Peripheral blood film — 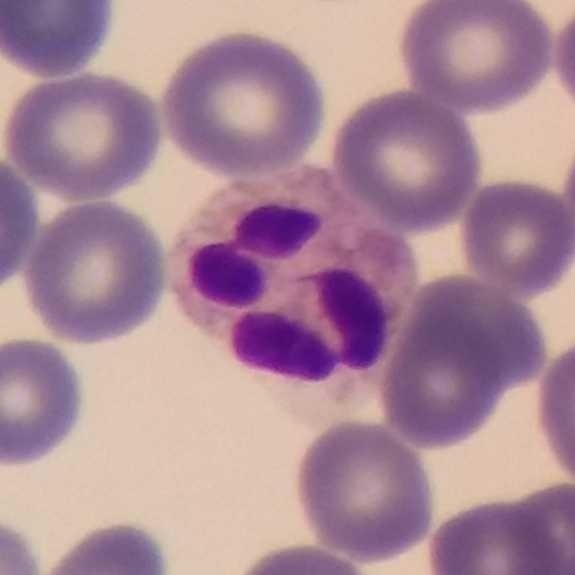 The cell shown is a neutrophil granulocyte.